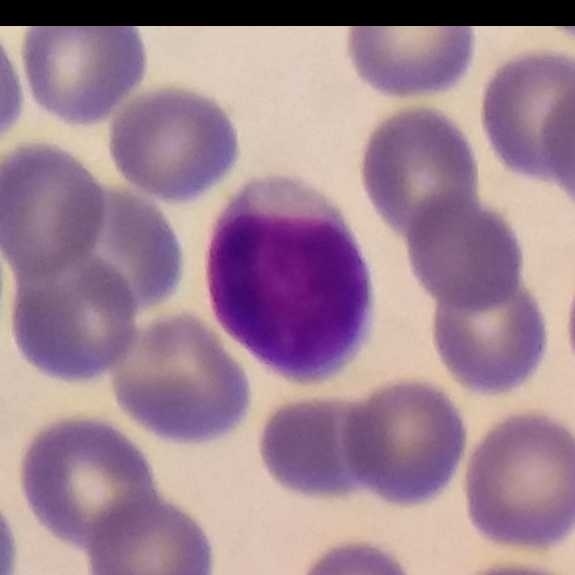Classification — lymphocyte.

Context: Peripheral blood film.